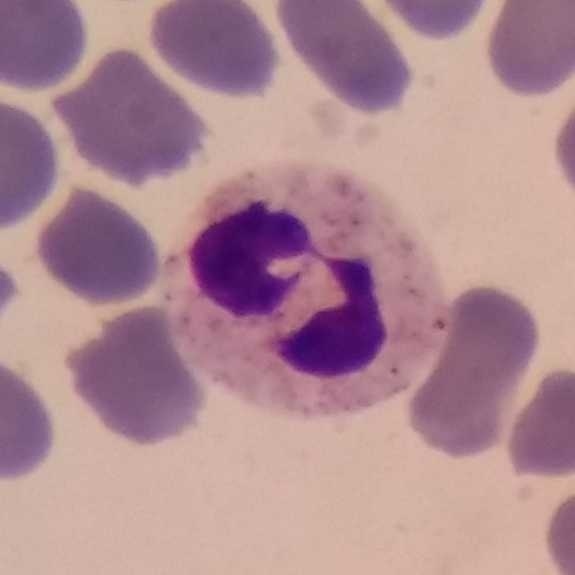Context: Peripheral blood smear · single white blood cell cropped from the smear photograph. Morphology consistent with a neutrophil.